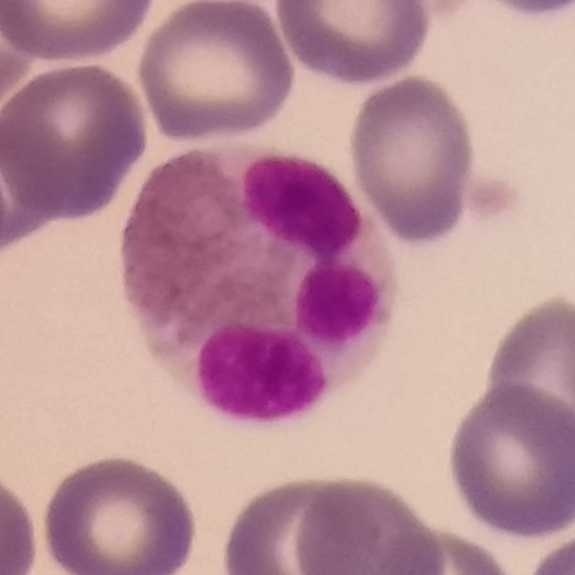 Cell — eosinophil.

575×575 px; peripheral blood smear.